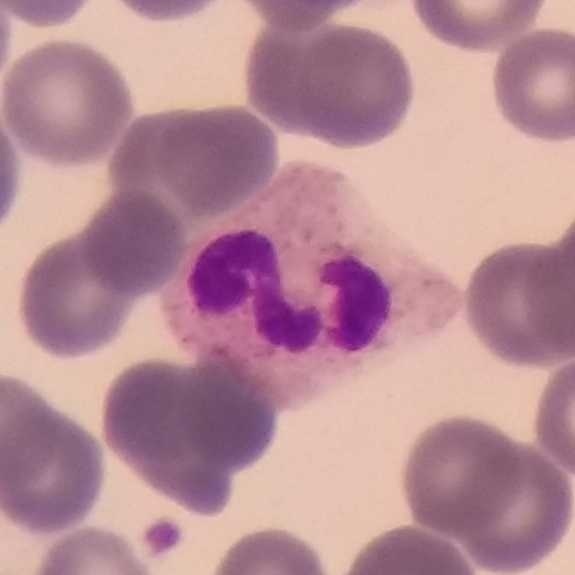

The cell shown is a neutrophil granulocyte.